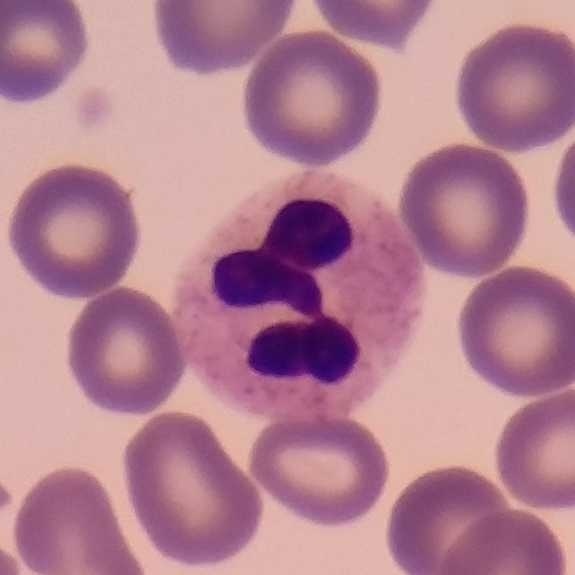{"cell_type": "neutrophil"}

Peripheral blood smear.